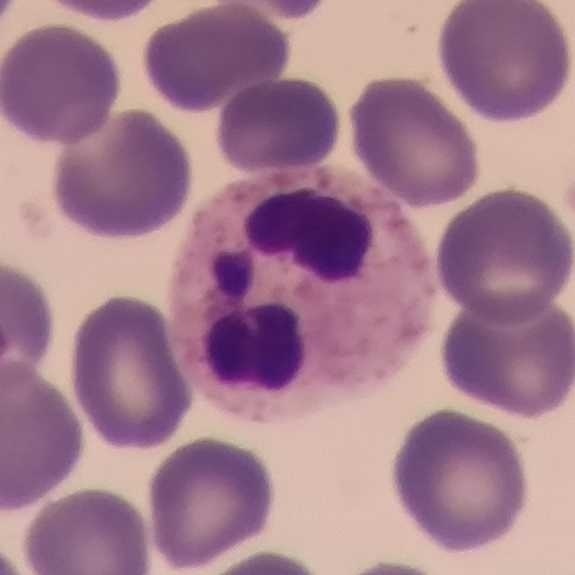
Peripheral blood smear.
Q: What cell is this?
A: It is a neutrophil.